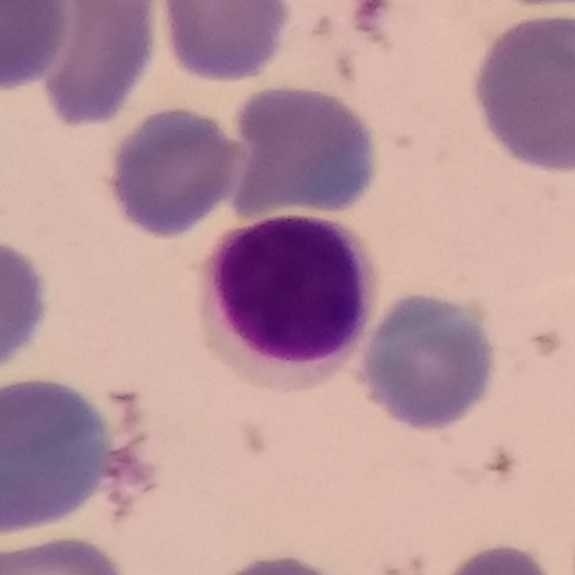

Preparation: Stained with Giemsa; smartphone photomicrograph; peripheral blood smear.
A lymphocyte.